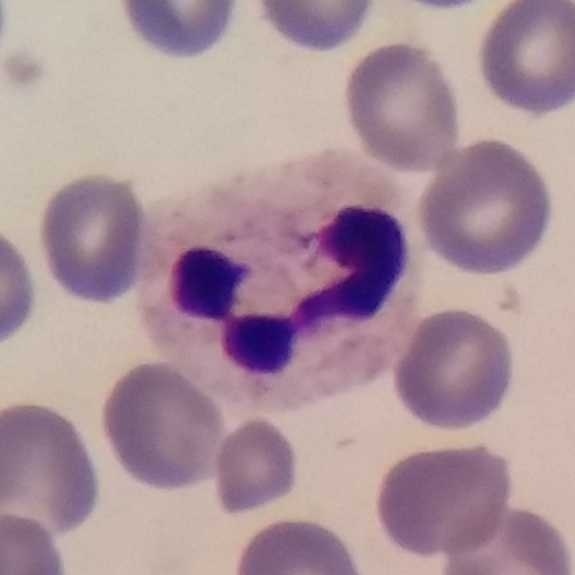
Cell — neutrophil.